Magnification 100× · 575×575 px · peripheral blood film — 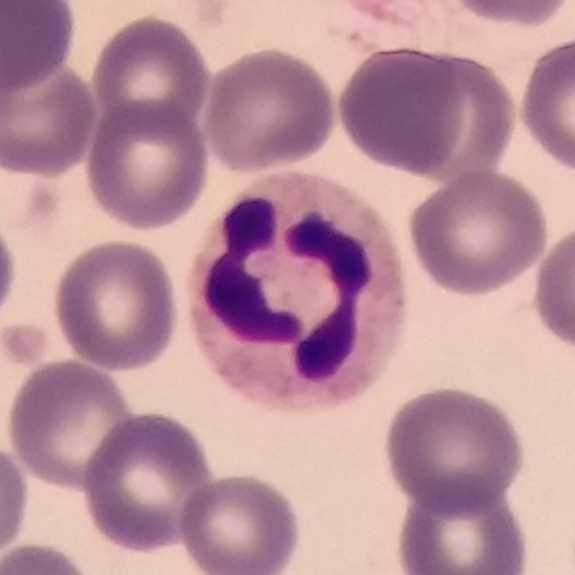

The cell shown is a neutrophil granulocyte.